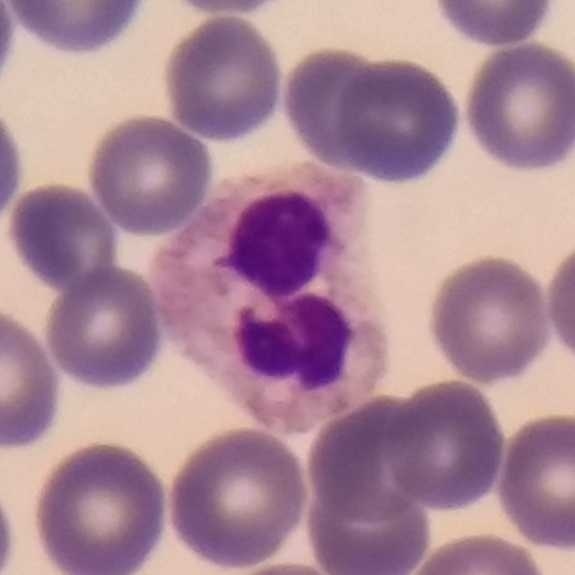Preparation: Cropped to one leukocyte · peripheral blood film.

The white blood cell in this image is a neutrophil granulocyte.